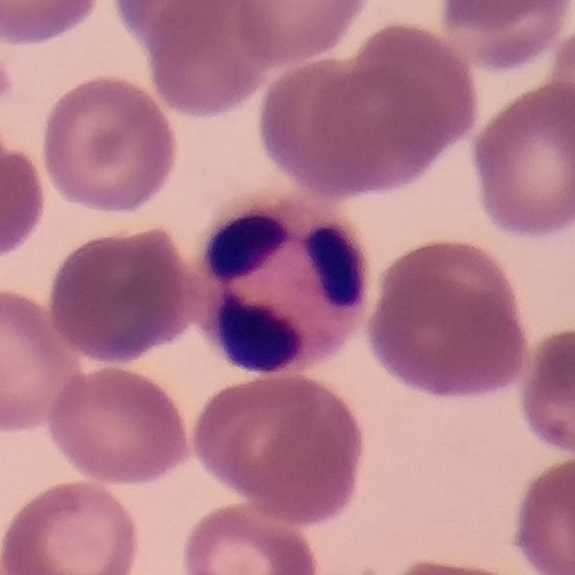 Q: Which type of white blood cell is this?
A: A neutrophilic granulocyte. Image: Peripheral blood film · stained with Giemsa.